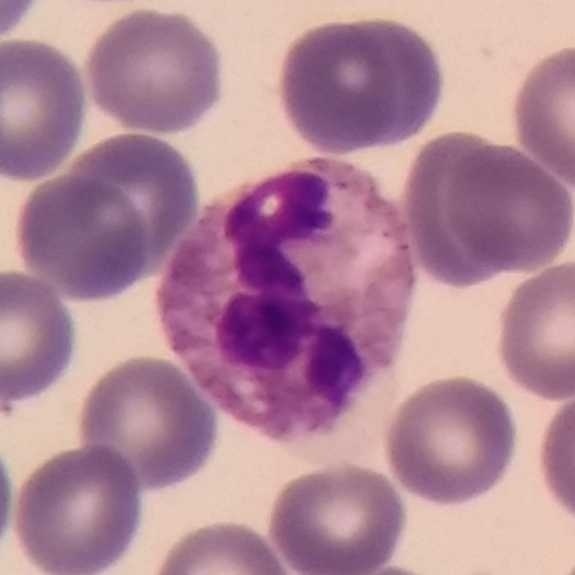

Classification: neutrophilic granulocyte. Image: Cropped to one leukocyte. Stained with Giemsa. Peripheral blood film.